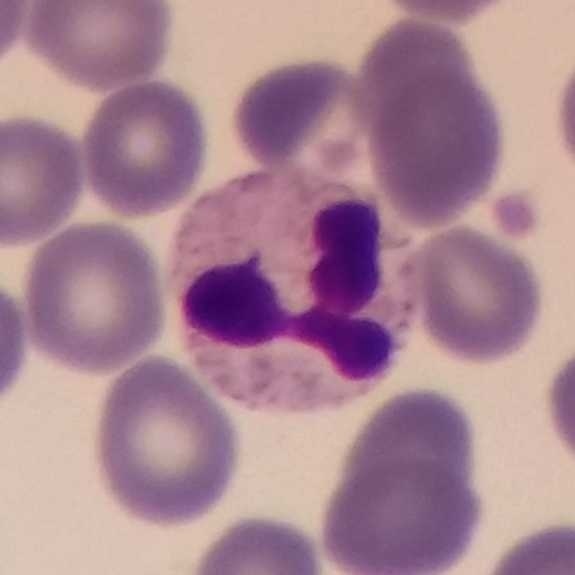 Single-cell crop from a peripheral blood smear: neutrophil granulocyte.